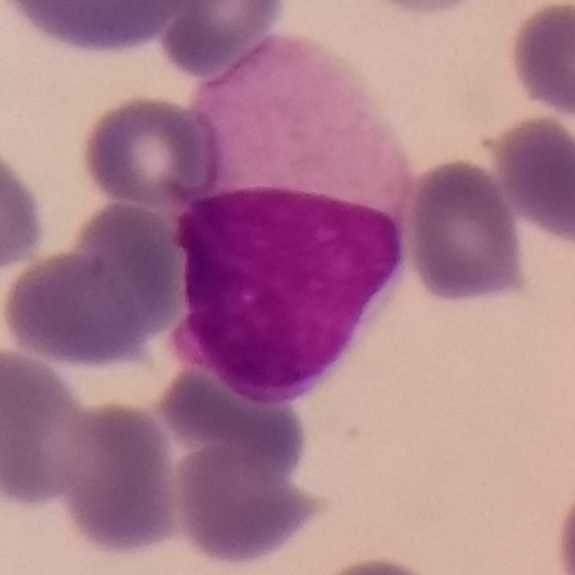
Peripheral blood smear. Single cell identified as a lymphocyte.